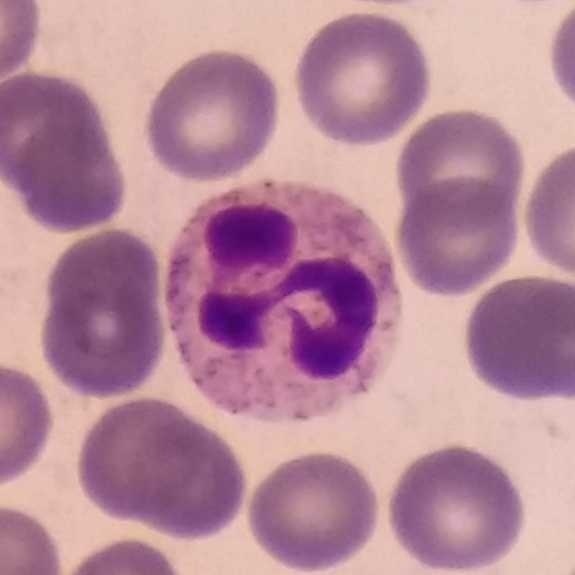 Single-cell crop · peripheral blood smear · imaged at 100×.
The white blood cell in this image is a neutrophil.